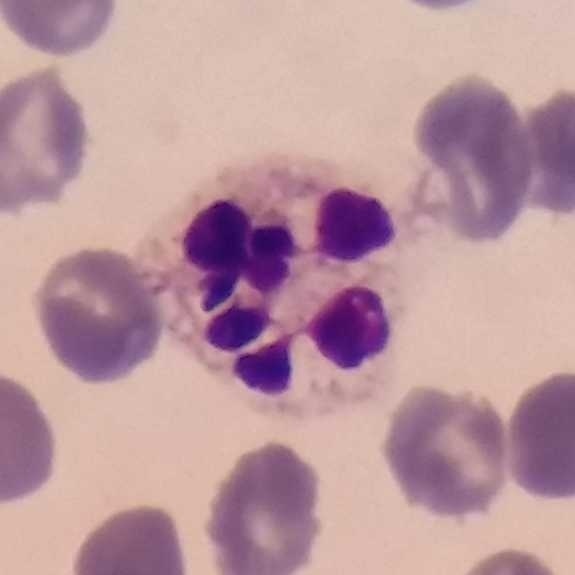
Peripheral blood smear.

Q: What type of cell is this?
A: A neutrophil.